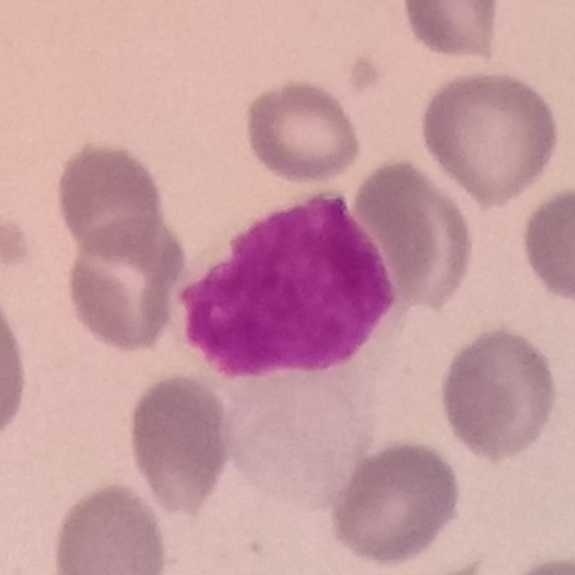Peripheral blood smear.
Q: Which type of white blood cell is this?
A: It is a lymphocyte.